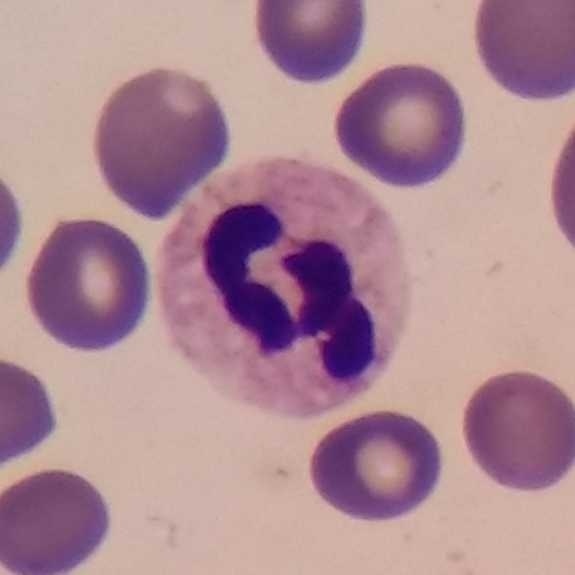
Identified as a neutrophilic granulocyte.

Acquisition: Peripheral blood film. Single white blood cell cropped from the smear photograph. Magnification 100×.